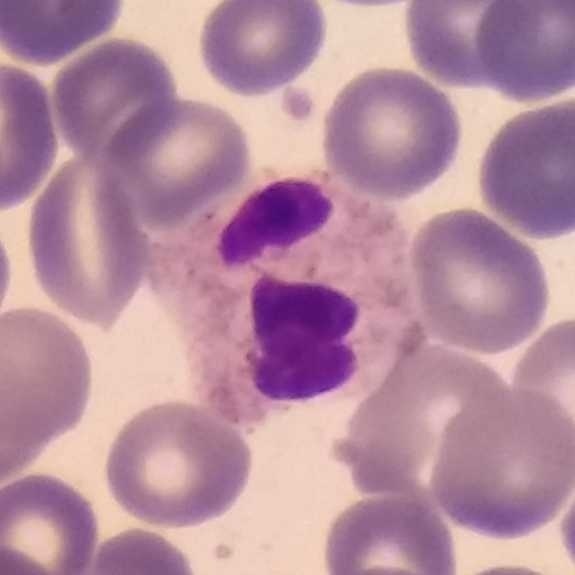
Magnification 100×. Image size 575×575. Peripheral blood smear.
Showing a neutrophil granulocyte.